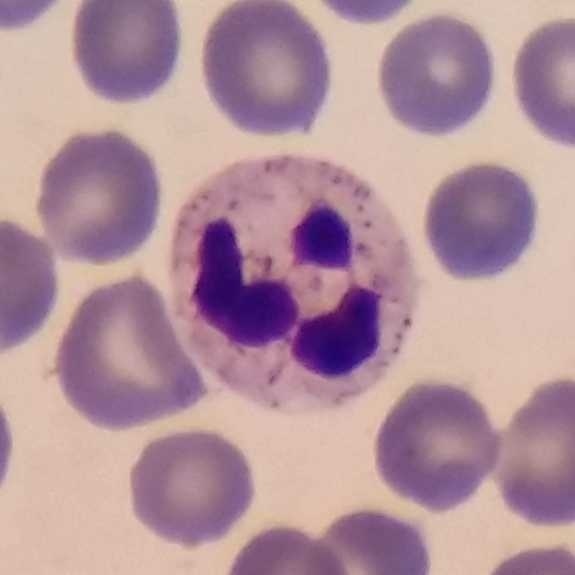Preparation: Peripheral blood film.
{"cell_type": "neutrophil granulocyte", "lineage": "myeloid"}